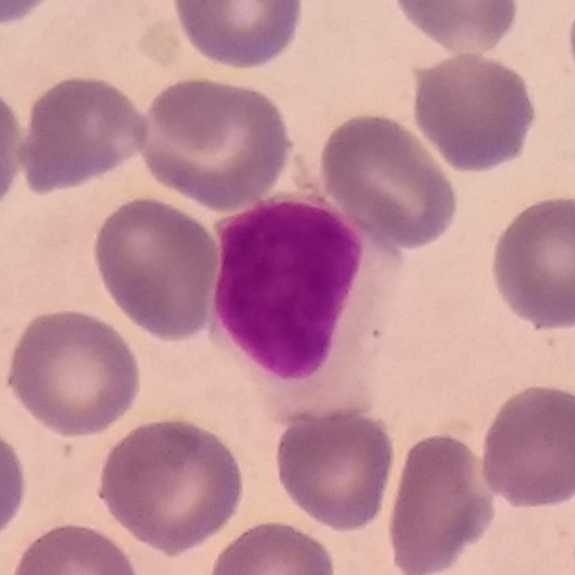

Q: What cell is this?
A: It is a lymphocyte.